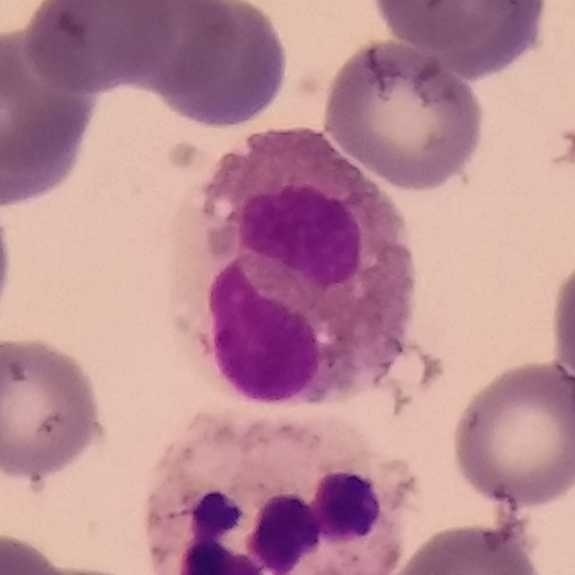
Morphological class — eosinophilic granulocyte. Image: Peripheral blood smear.